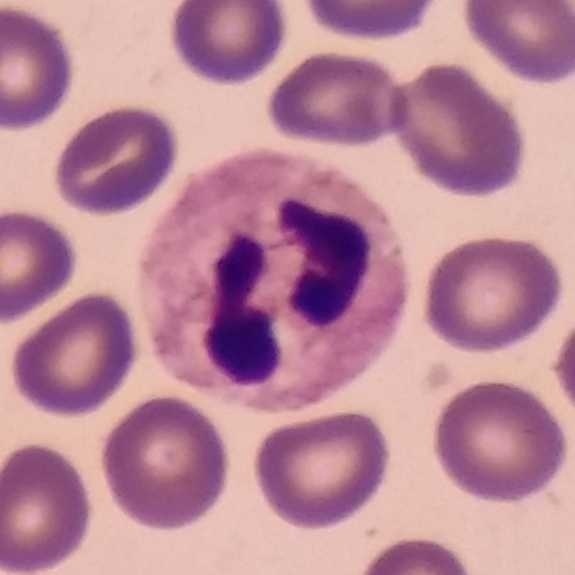
Context: Smartphone photomicrograph · peripheral blood film. Identified as a neutrophil granulocyte.